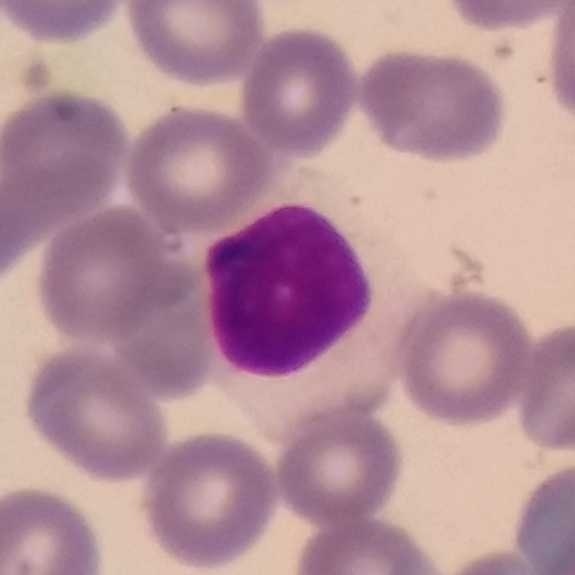 Single cell identified as a lymphocyte.
Peripheral blood smear.